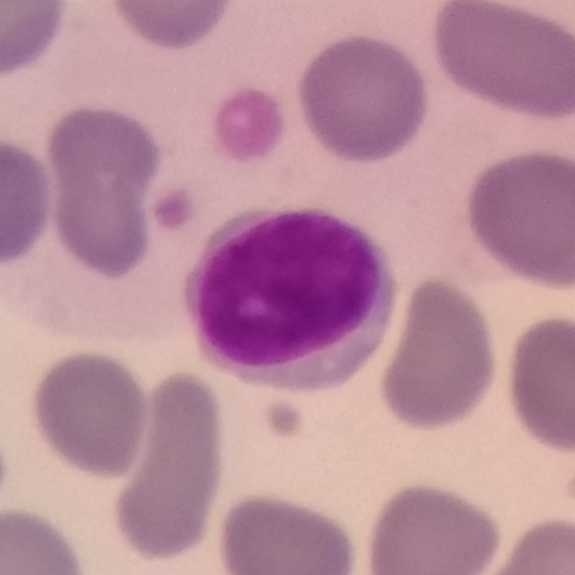

The white blood cell in this image is a lymphocyte.
Context: Peripheral blood film.